Peripheral blood film. Single-cell crop — 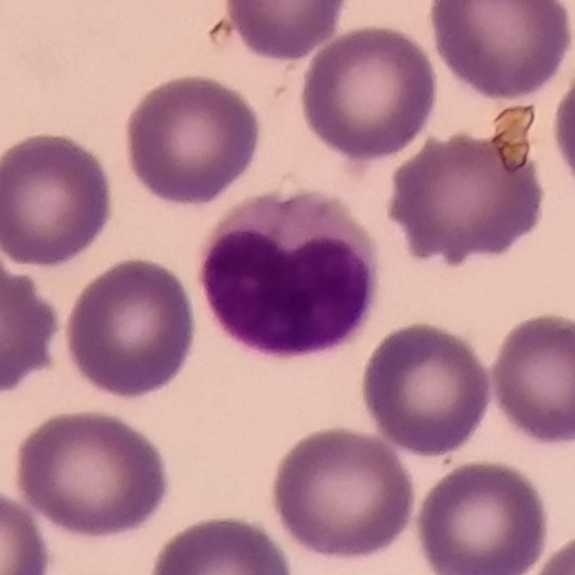

Cell — lymphocyte.